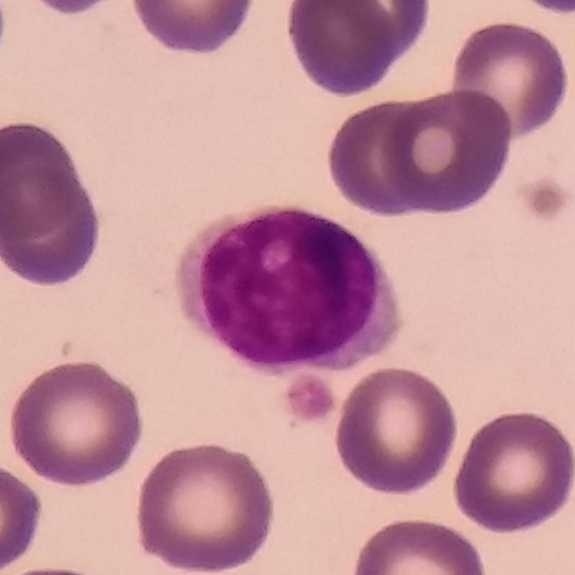Morphology → lymphocyte. Context: Peripheral blood film.